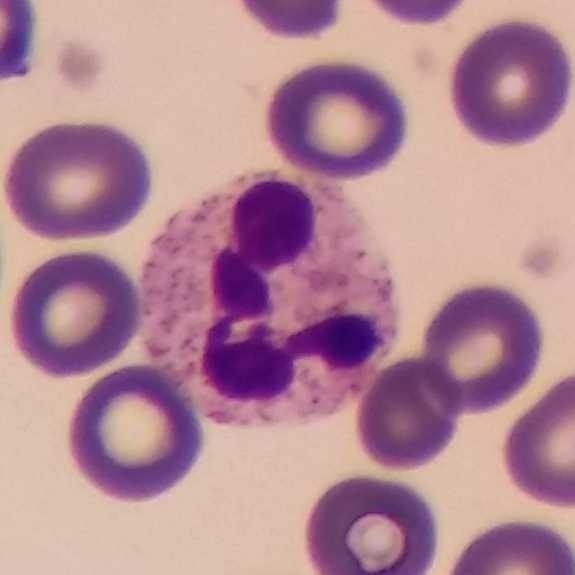

Image: Peripheral blood film. Image size 575×575.

{"cell_type": "neutrophilic granulocyte", "lineage": "myeloid"}